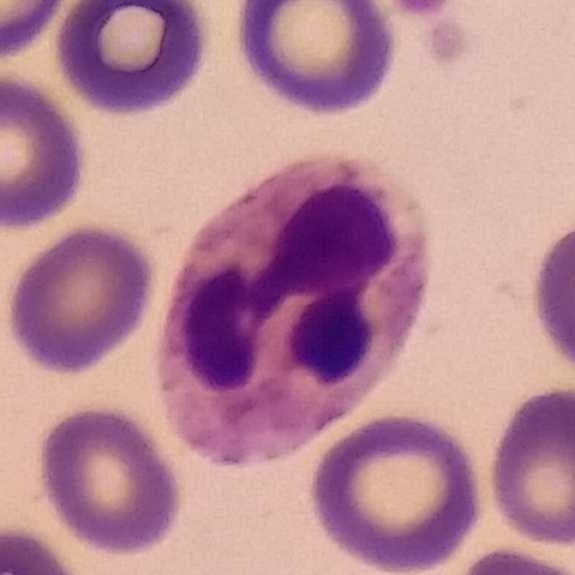
Q: Which cell type is shown here?
A: Neutrophil.